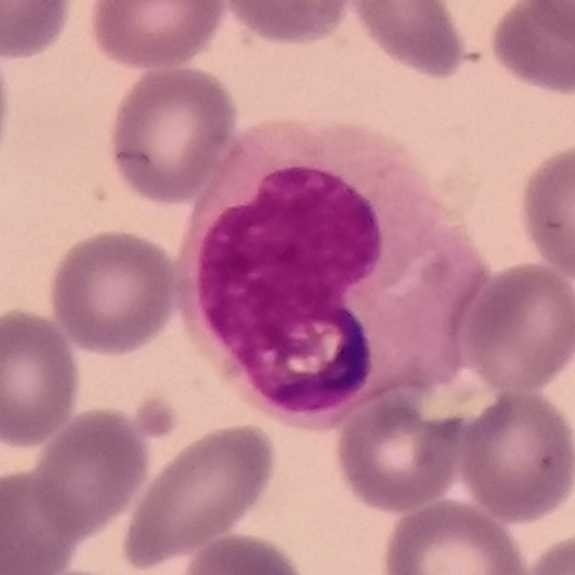
Morphology → monocyte.